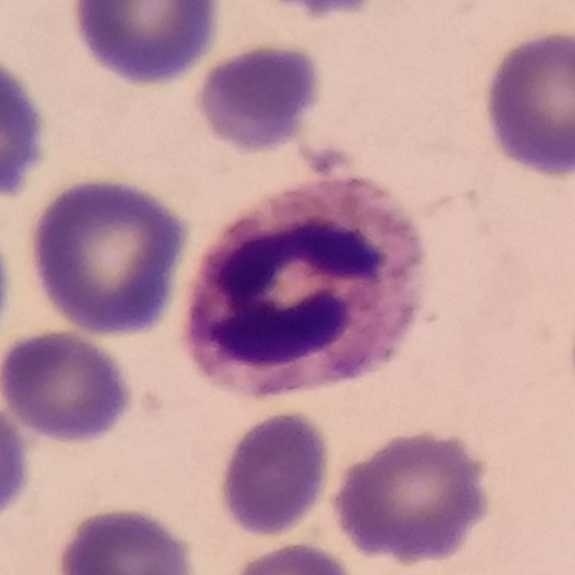

A neutrophil granulocyte on a peripheral blood smear.